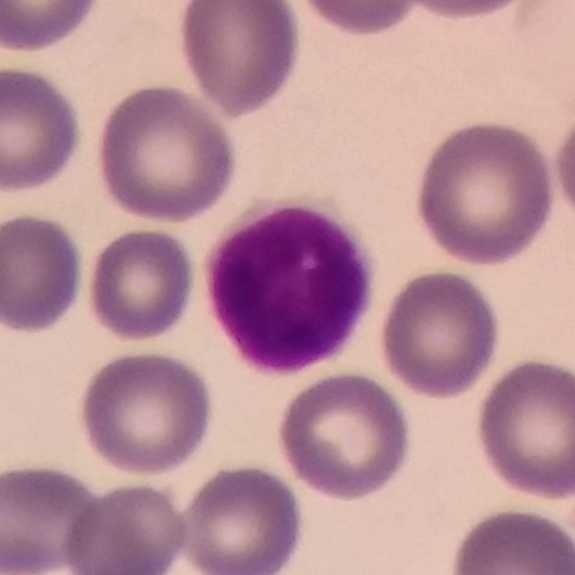

Preparation: Peripheral blood film.
Single cell identified as a lymphocyte.